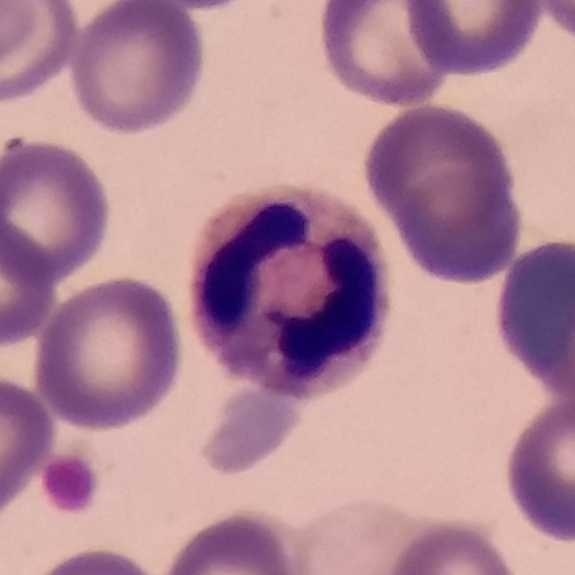
Neutrophil granulocyte. Peripheral blood smear.